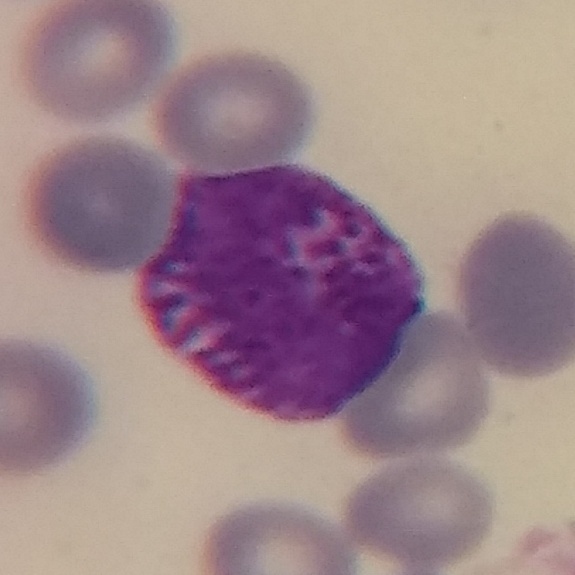

The classification is basophilic granulocyte.